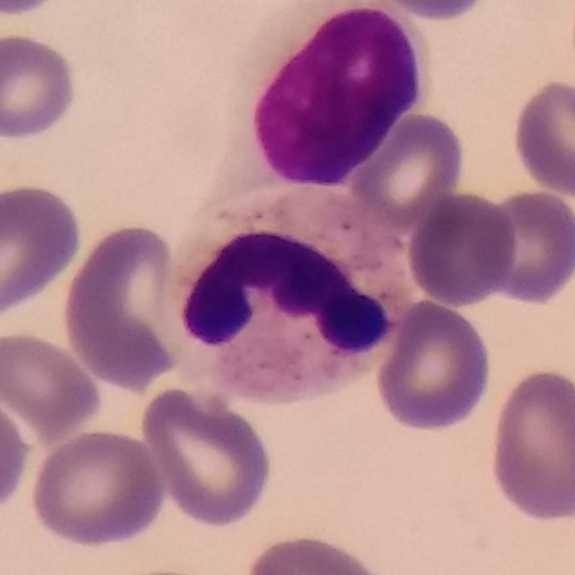 Specimen: peripheral blood film.
Morphological class: neutrophil.